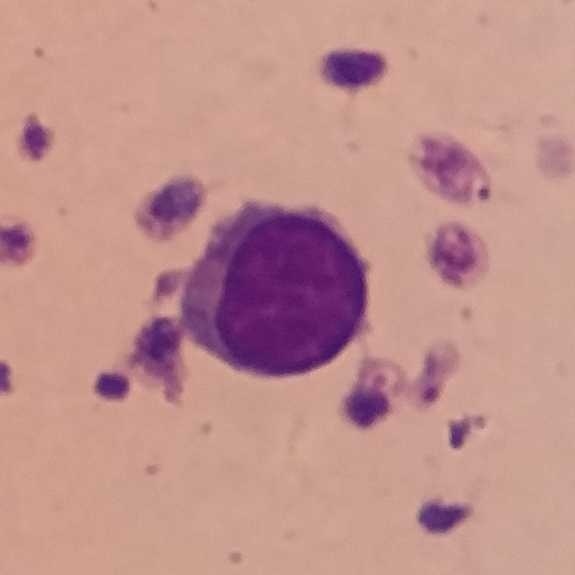

Preparation: Single white blood cell cropped from the smear photograph. 575 by 575 pixels. Peripheral blood smear.

This is a lymphocyte.